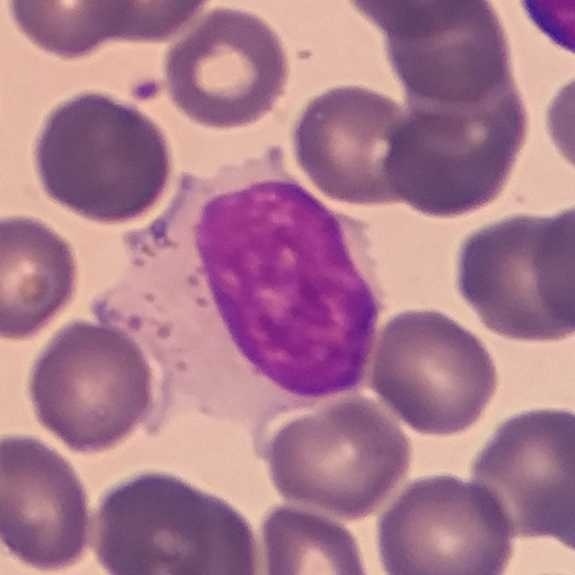 Specimen: peripheral blood smear.
Classification: lymphocyte. Magnification 100×.